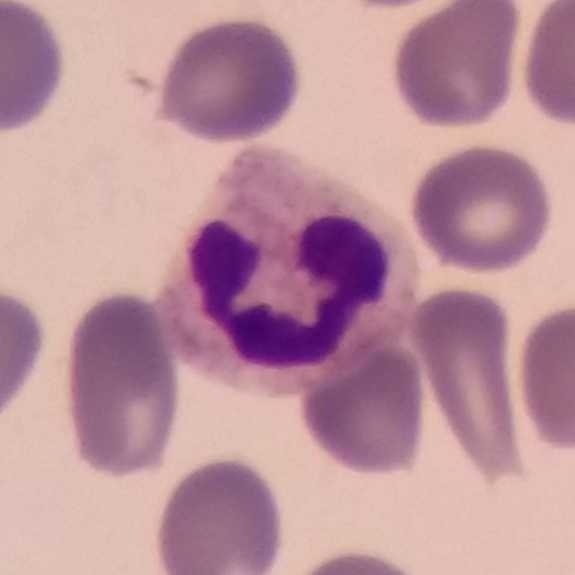Specimen: peripheral blood film.
Cell type: neutrophil.
Lineage: myeloid.